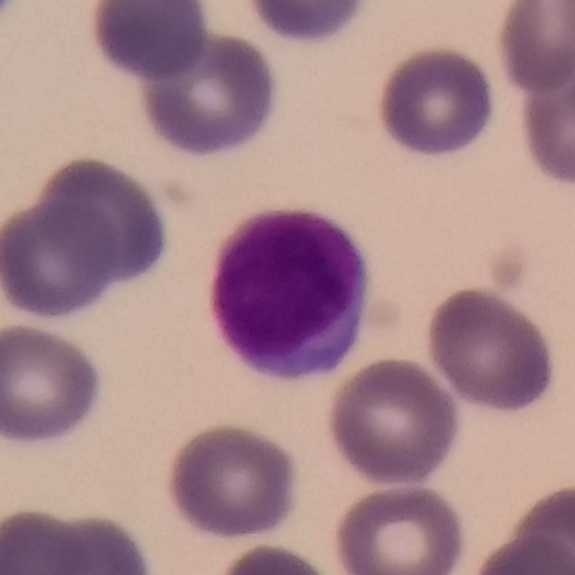The white blood cell type is lymphocyte.
Peripheral blood smear · image size 575×575.